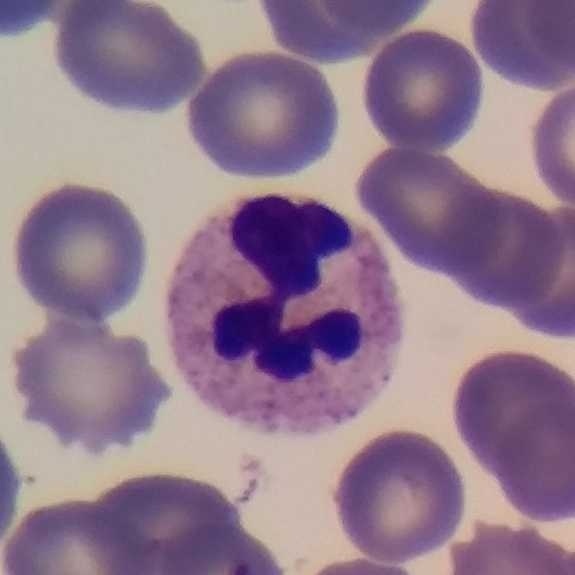
100× magnification; peripheral blood smear. Cell type = neutrophilic granulocyte.